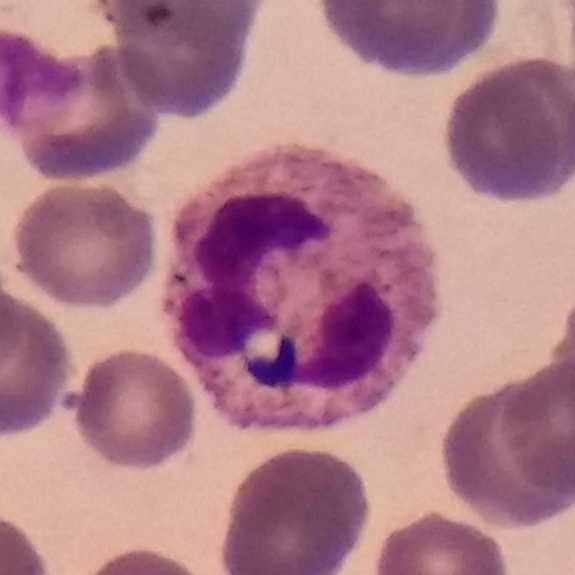Specimen: peripheral blood film.
Cell type: neutrophilic granulocyte.
Lineage: myeloid. Image: Smartphone camera mounted on the microscope eyepiece.